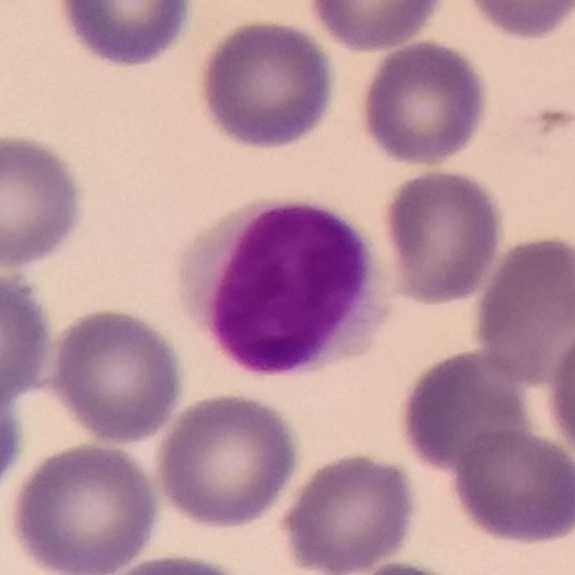
Q: What is this?
A: It is a lymphocyte. Preparation: 575×575. Peripheral blood film.